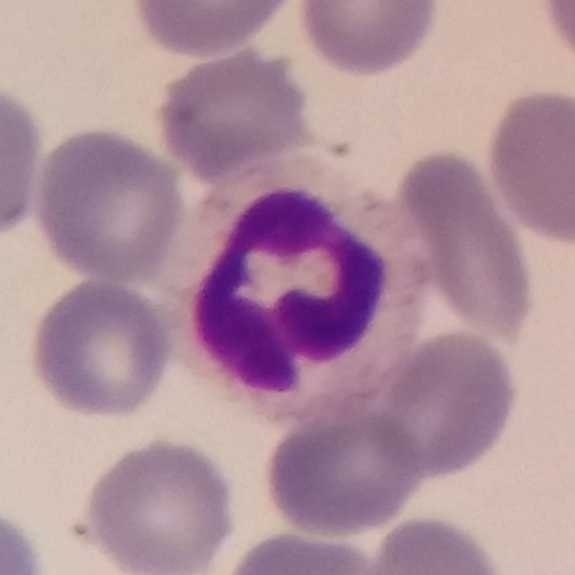The white blood cell in this image is a neutrophil granulocyte.